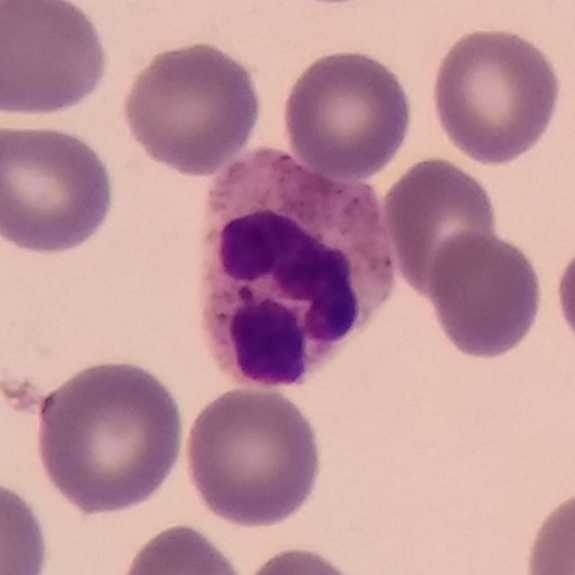 The cell type is neutrophil granulocyte.